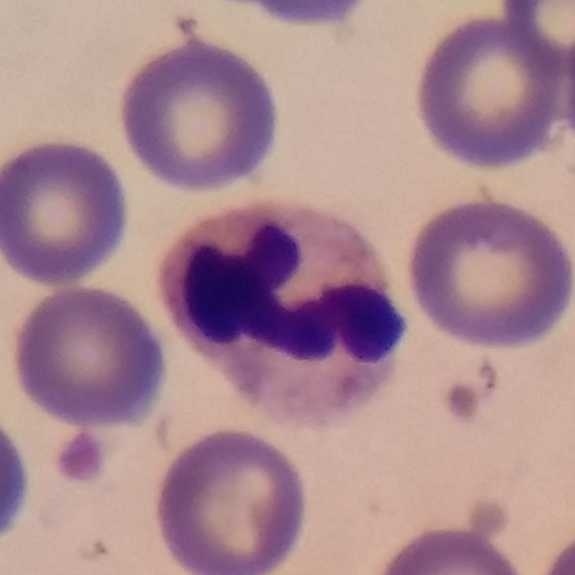{"cell_type": "neutrophilic granulocyte", "lineage": "myeloid"}

Peripheral blood smear · 575×575 px.